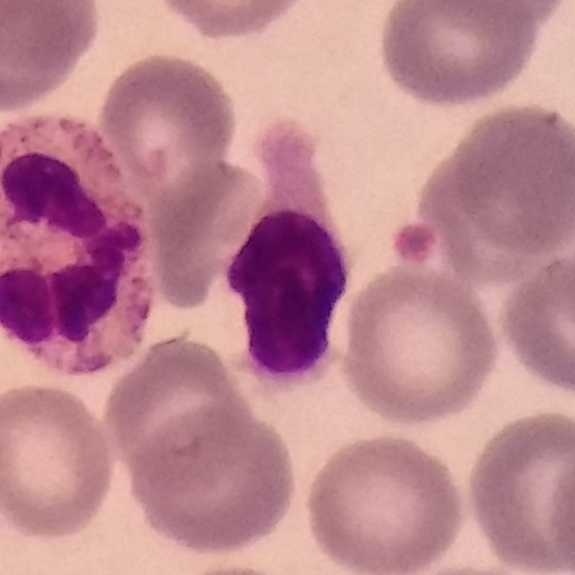 Q: What is shown here?
A: A lymphocyte.
Context: Peripheral blood smear. 575×575.